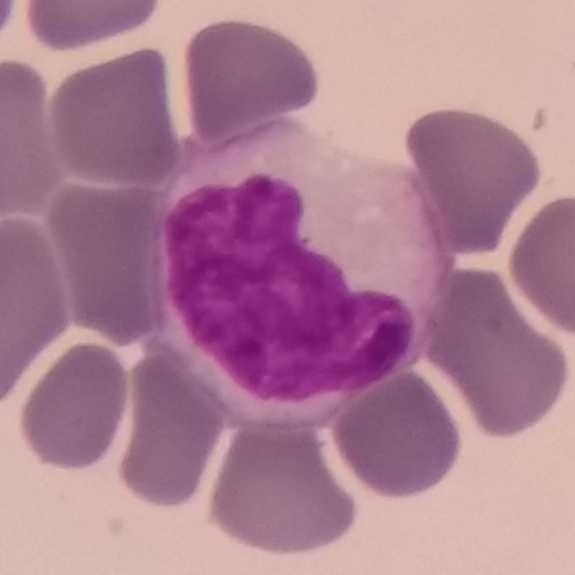

Specimen: peripheral blood smear.
Classification: monocyte.
Lineage: myeloid. Image: Single white blood cell cropped from the smear photograph.